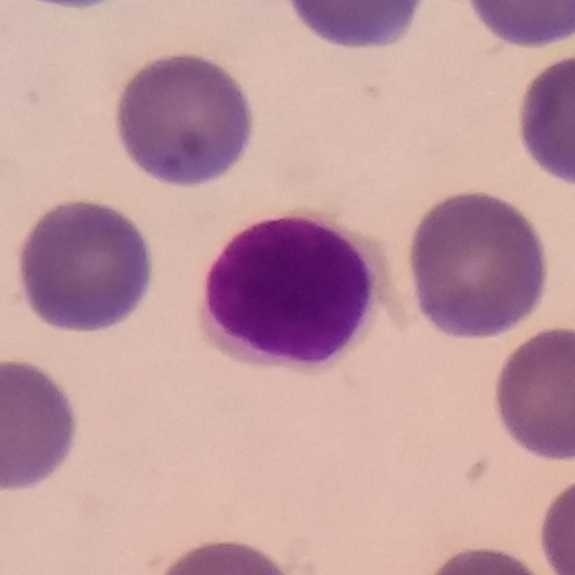Acquisition: Peripheral blood film; 100× magnification.
A lymphocyte.